Peripheral blood smear: 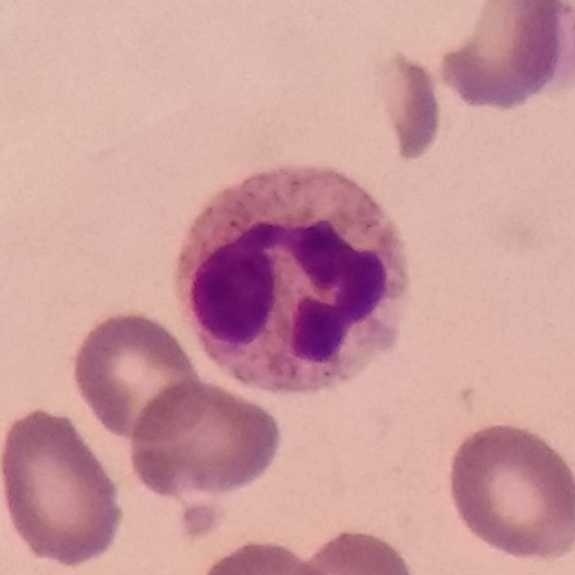
Morphology consistent with a neutrophil.